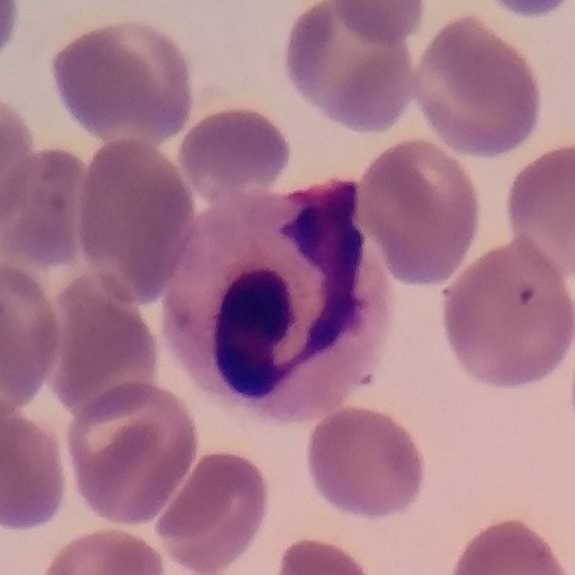 Image size 575×575; peripheral blood film.

Q: What type of cell is this?
A: It is a neutrophil.